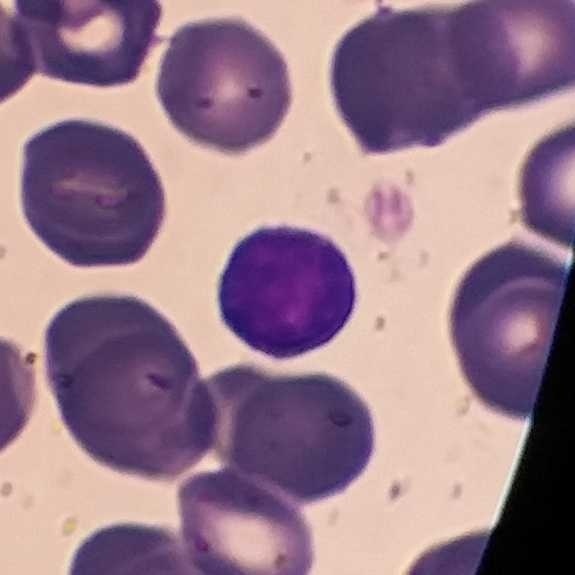

Classification: lymphocyte.